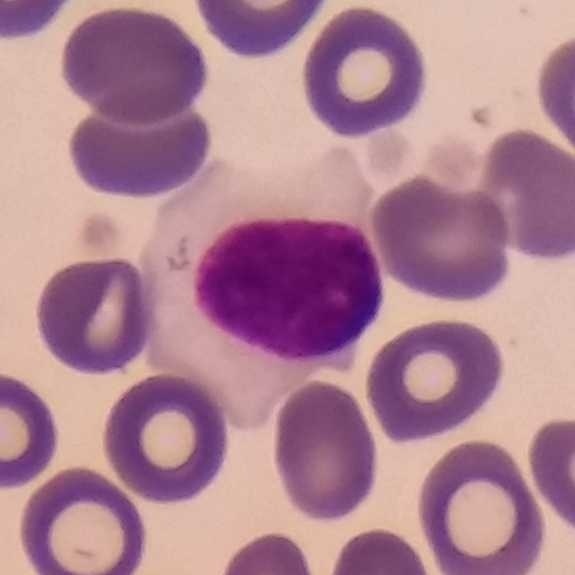

Q: Classify this leukocyte.
A: This is a lymphocyte.
Preparation: Peripheral blood smear.